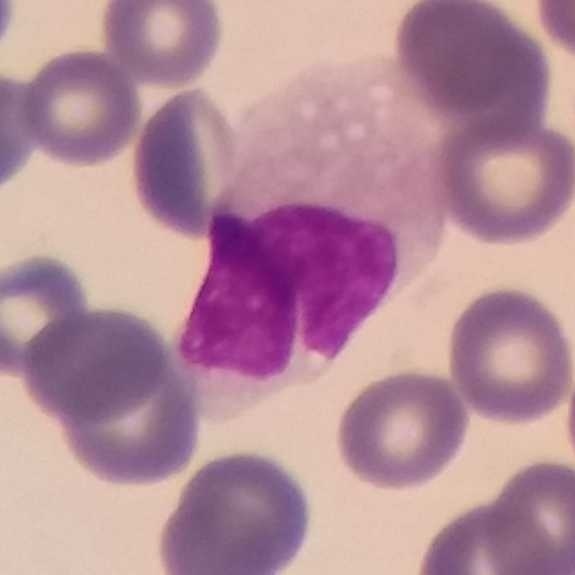Identified as a monocyte.
Image: Peripheral blood film · Giemsa-stained.